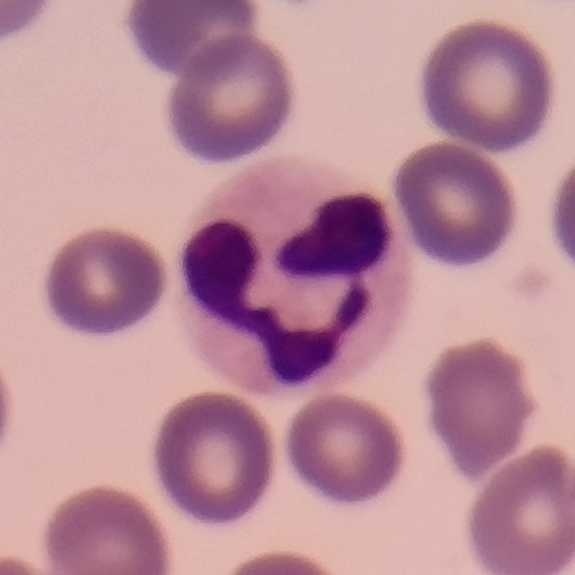
Preparation: Peripheral blood film. 575×575.
The morphological class is neutrophil.